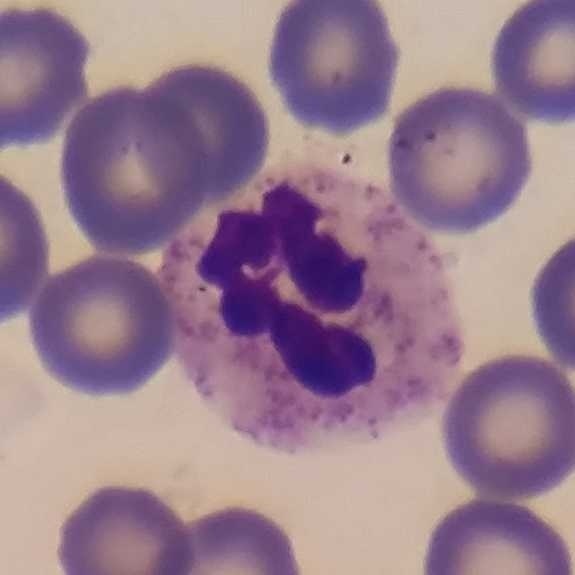
{"cell_type": "neutrophilic granulocyte", "lineage": "myeloid"}